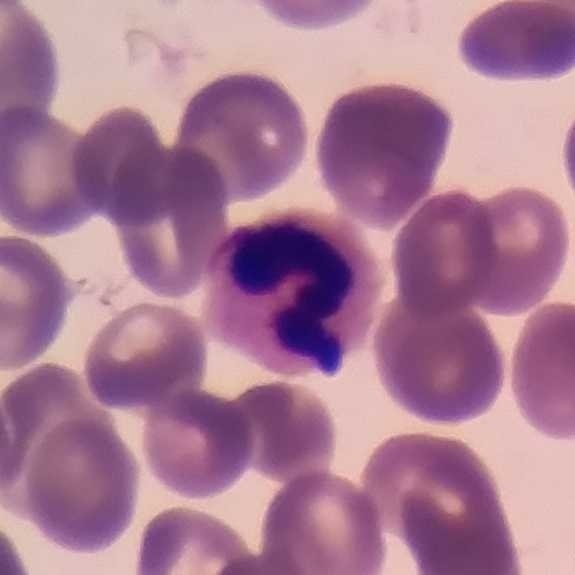
Specimen: peripheral blood smear.
Cell type: neutrophil granulocyte.
Lineage: myeloid.